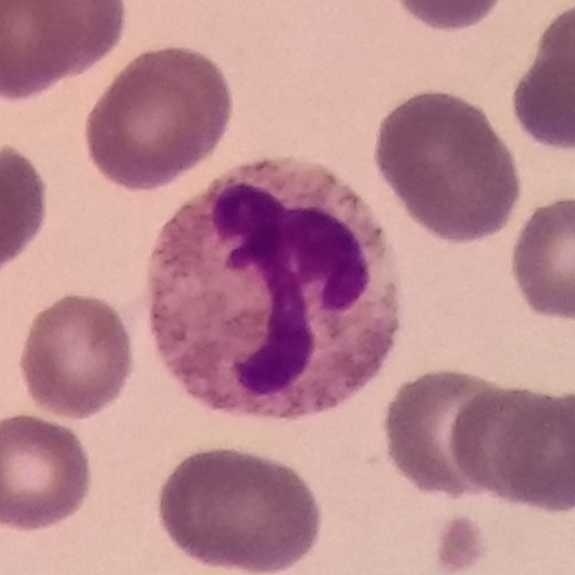From a peripheral blood smear: a neutrophilic granulocyte.